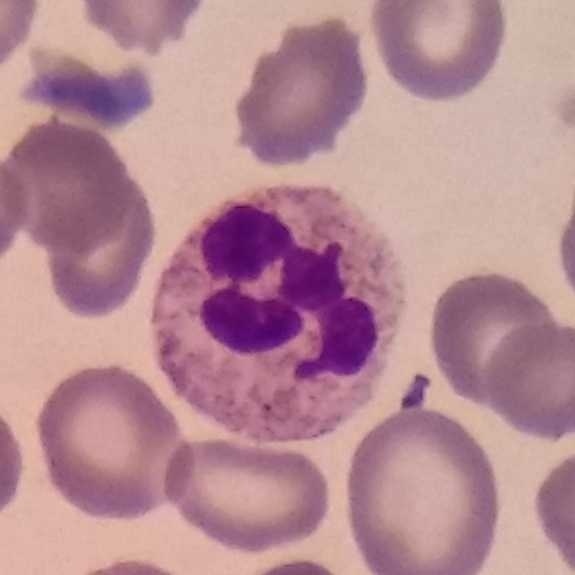

Image: Peripheral blood smear.
White blood cell type: neutrophil granulocyte.